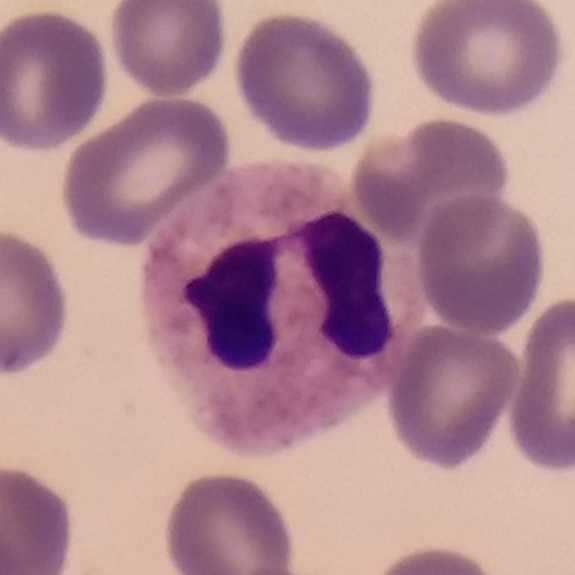 Peripheral blood film.

Q: What is the morphological classification of this cell?
A: It is a neutrophil granulocyte.